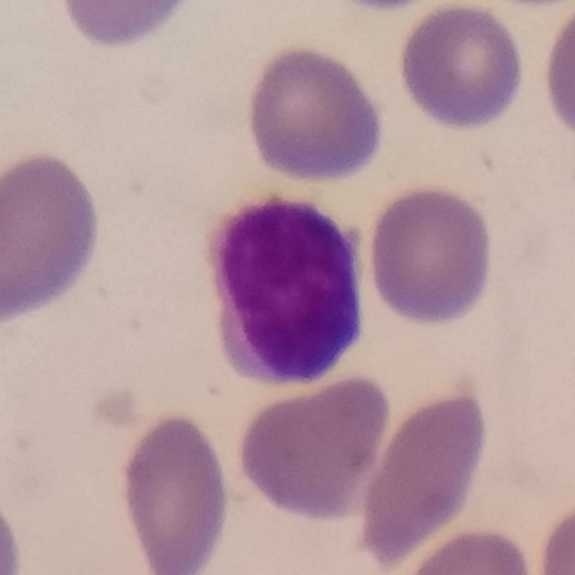
The cell shown is a lymphocyte.
Acquisition: Smartphone camera mounted on the microscope eyepiece. Peripheral blood smear. Giemsa stain.